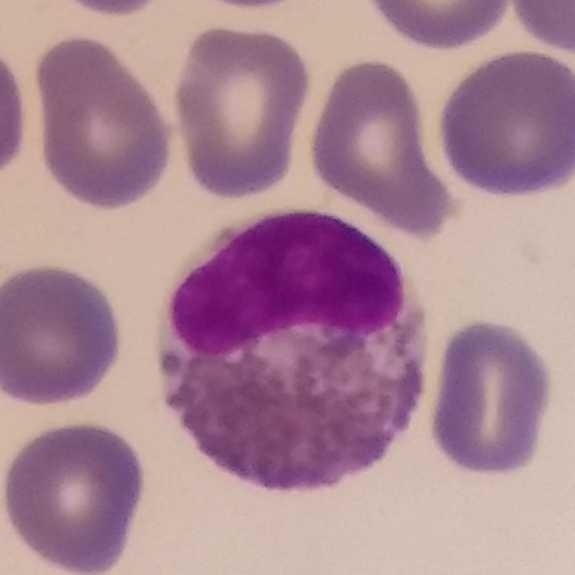 An eosinophil.
Acquisition: Giemsa stain; peripheral blood smear.